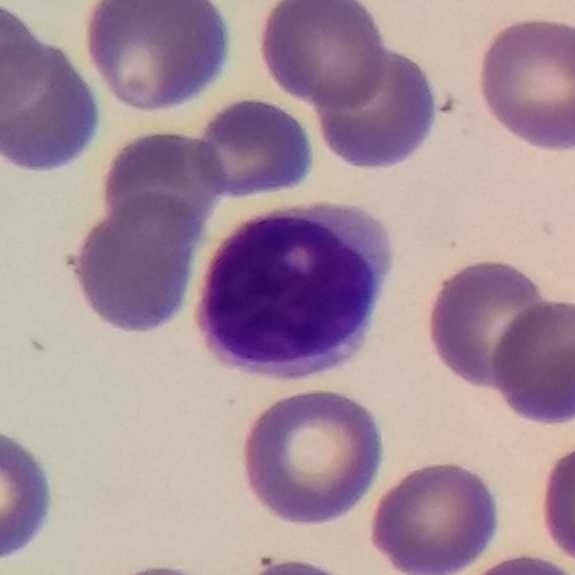Imaged at 100×. Specimen: peripheral blood film.
Morphological class: lymphocyte.
Lineage: lymphoid.